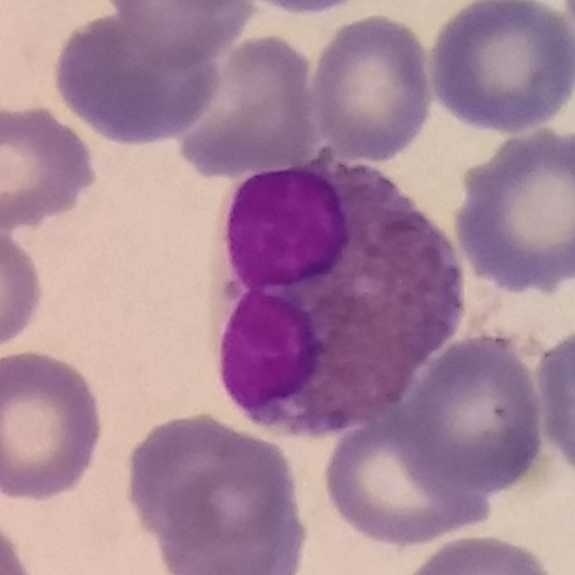Specimen: peripheral blood film.
Cell type: eosinophilic granulocyte.
Lineage: myeloid. Giemsa-stained.